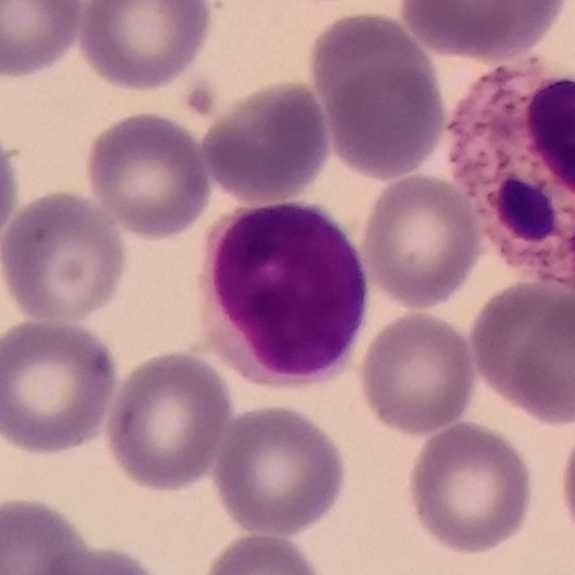 Preparation: Imaged at 100×; peripheral blood film.

Identified as a lymphocyte.